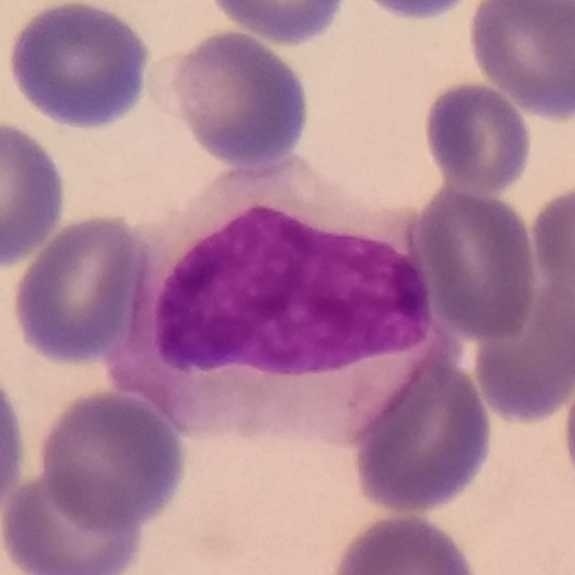
Showing a monocyte. Peripheral blood smear.